Peripheral blood smear:
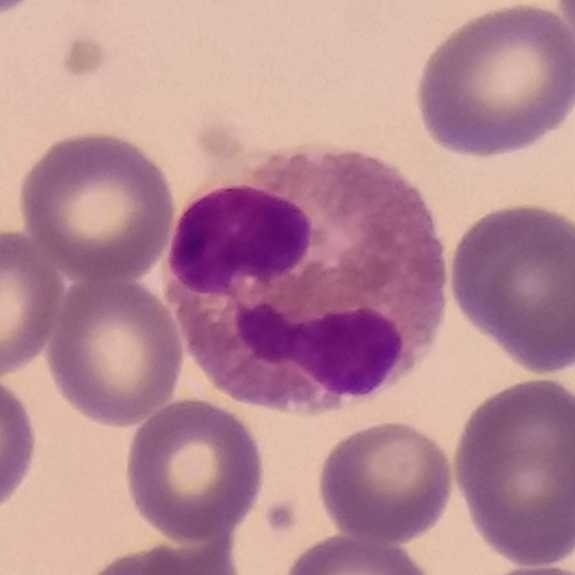 Impression → eosinophil.